Peripheral blood film:
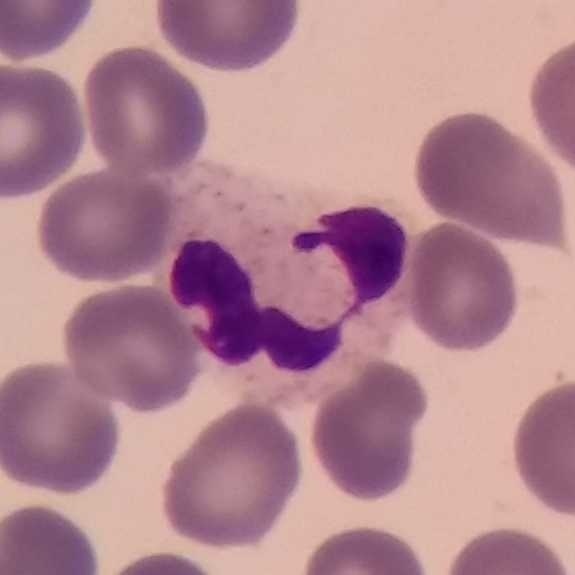
Neutrophil granulocyte.